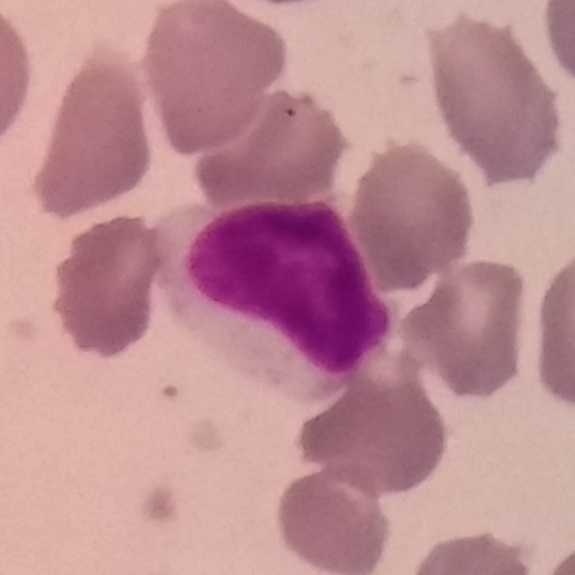
Preparation: Peripheral blood smear. 575×575. Smartphone camera mounted on the microscope eyepiece. Lymphocyte.